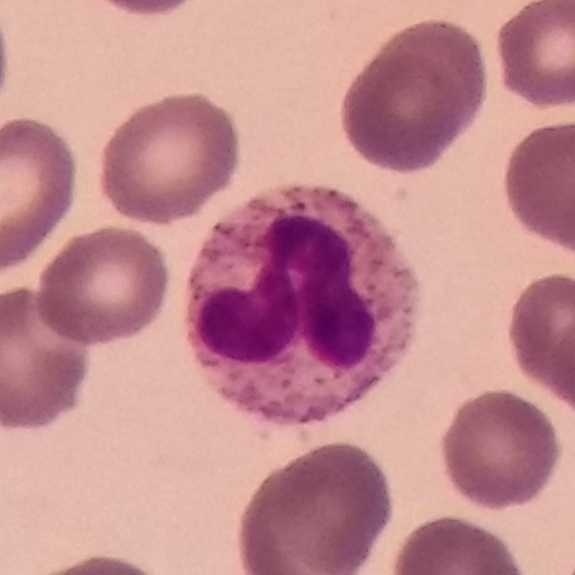
Image: Peripheral blood smear.

The white blood cell in this image is a neutrophil.